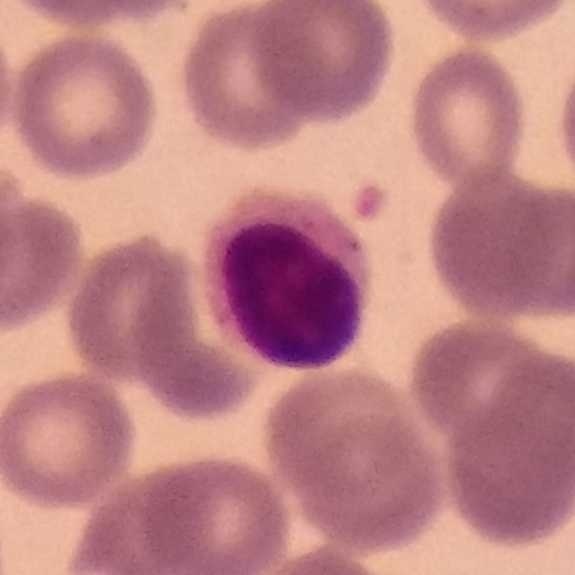 Acquisition: Peripheral blood film. A lymphocyte.